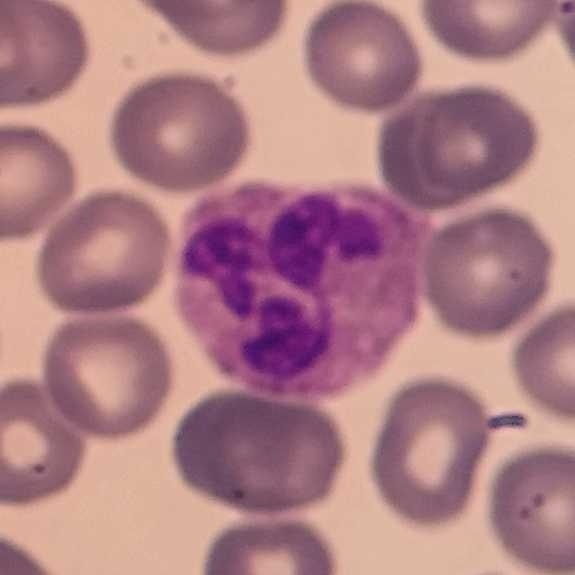 Single cell identified as a neutrophil granulocyte.

Acquisition: Peripheral blood film; single-cell field.